Magnification 100× · peripheral blood film.
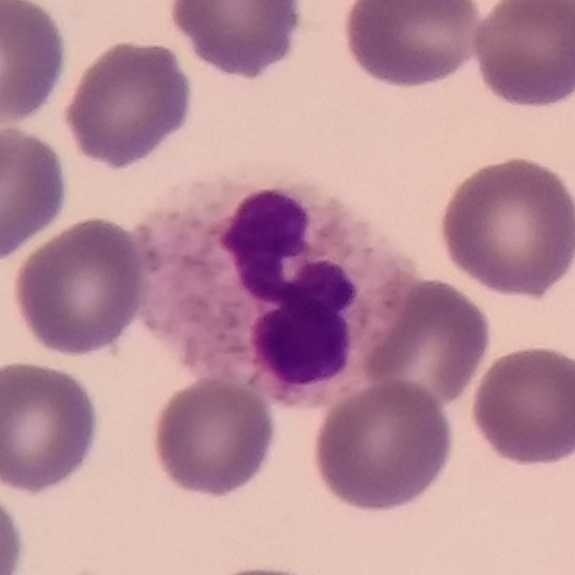
Morphology consistent with a neutrophil granulocyte.